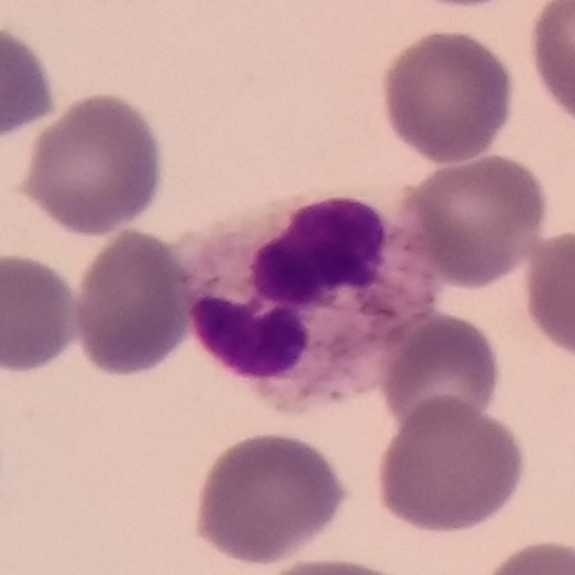

Showing a neutrophil granulocyte. Context: Peripheral blood film.